Peripheral blood film. 575 by 575 pixels. Phone-camera image taken through the microscope ocular:
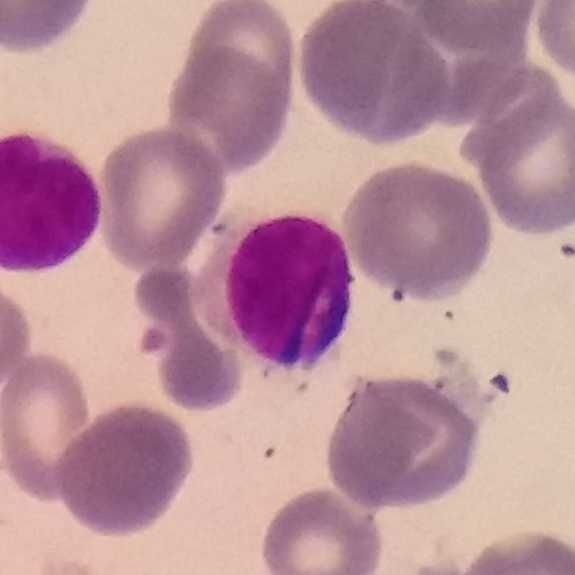 Q: Classify this leukocyte.
A: Lymphocyte.